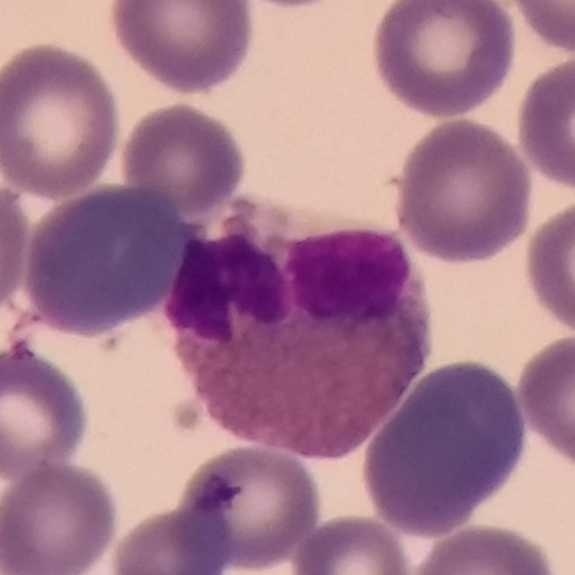Impression → eosinophil.